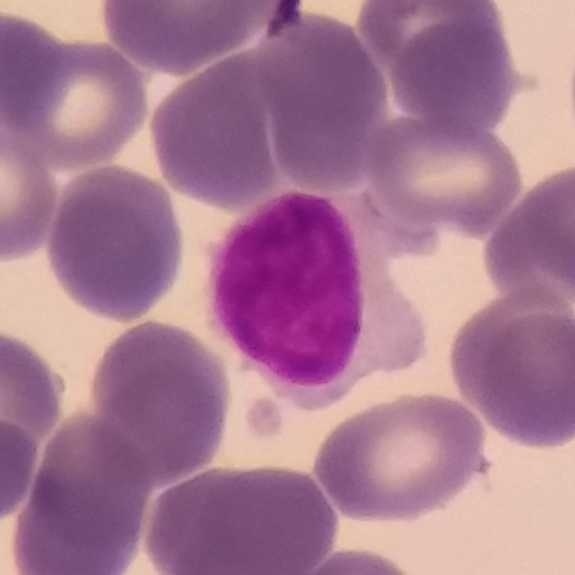
Cell type — lymphocyte.